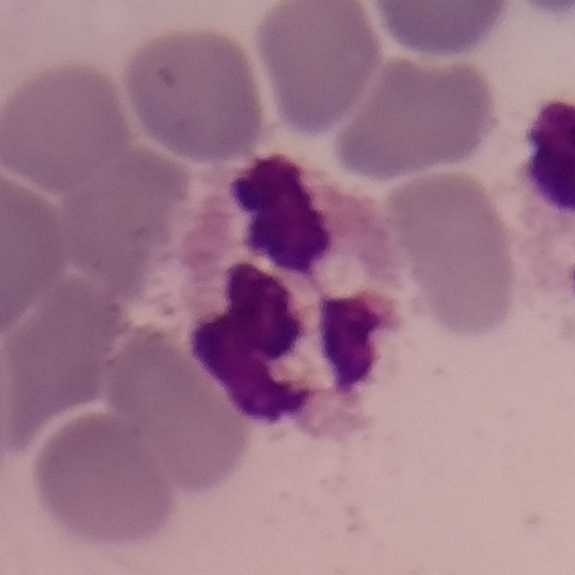

White blood cell from a peripheral blood smear: neutrophil granulocyte.